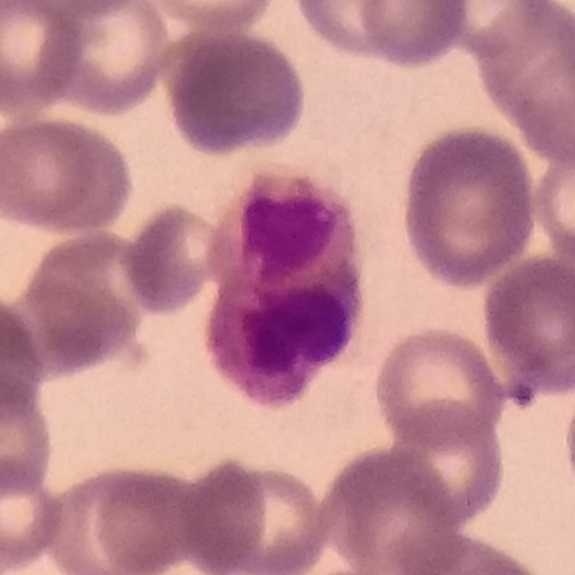
Q: Which cell type is shown here?
A: Neutrophil. Context: Peripheral blood film. Giemsa-stained.